Image size 575×575; peripheral blood film.
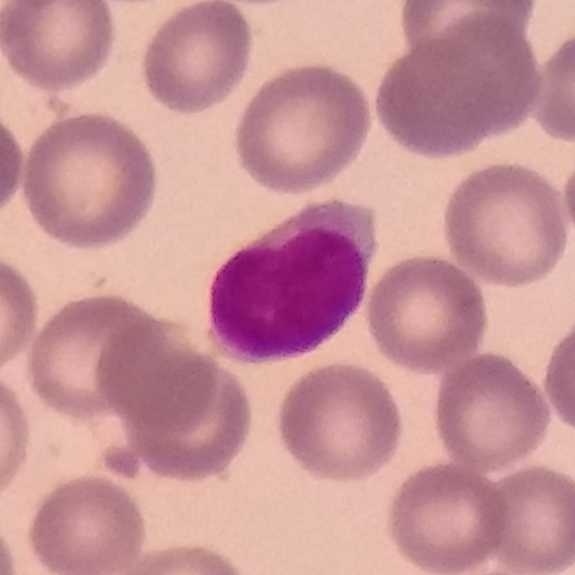 Q: What is the morphological classification of this cell?
A: A lymphocyte.